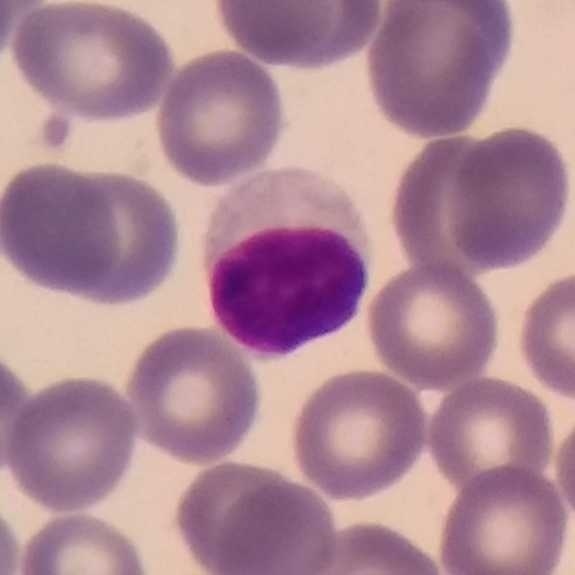

Cell type: lymphocyte.

Peripheral blood film.